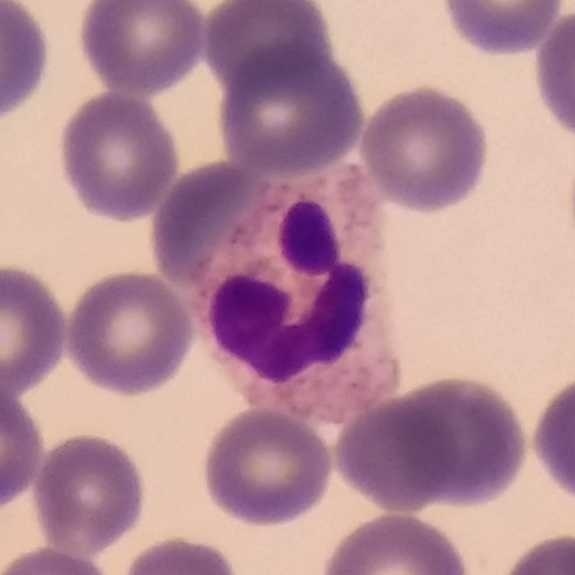
Morphology — neutrophilic granulocyte.
Acquisition: Stained with Giemsa. Peripheral blood smear. Single-cell field.